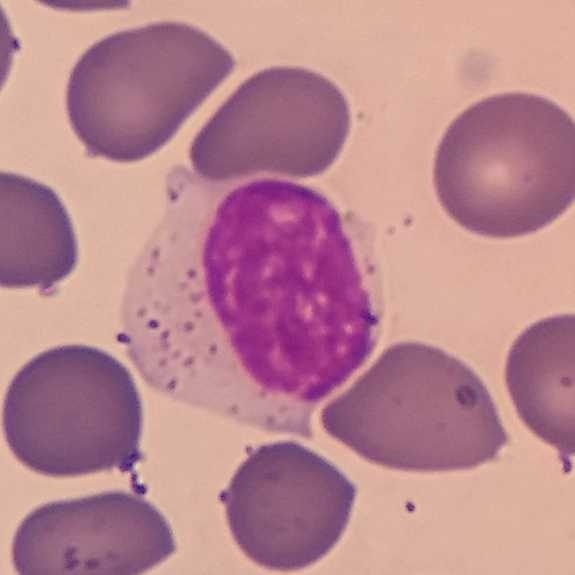
The cell shown is a lymphocyte.

Preparation: Peripheral blood film · magnification 100×.